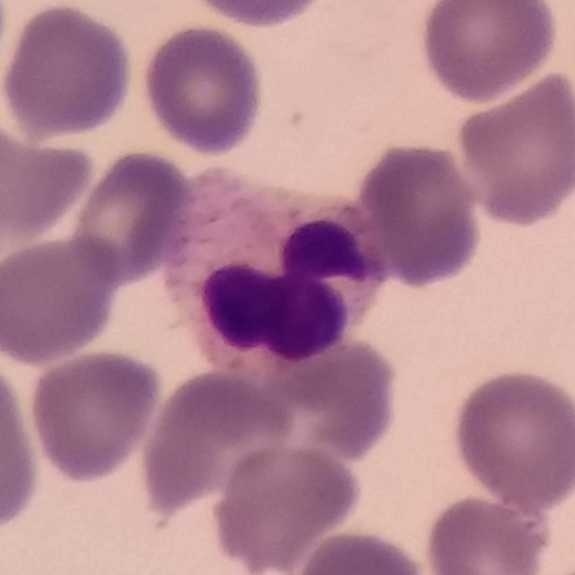 {"cell_type": "neutrophil", "lineage": "myeloid"}